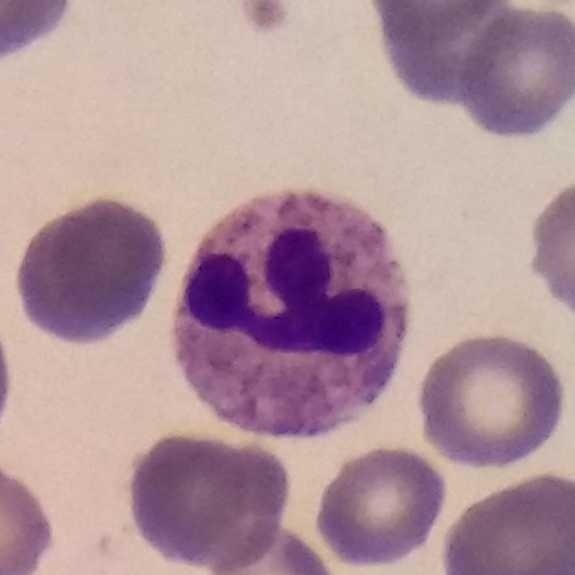White blood cell type — neutrophilic granulocyte.
Preparation: Peripheral blood film.